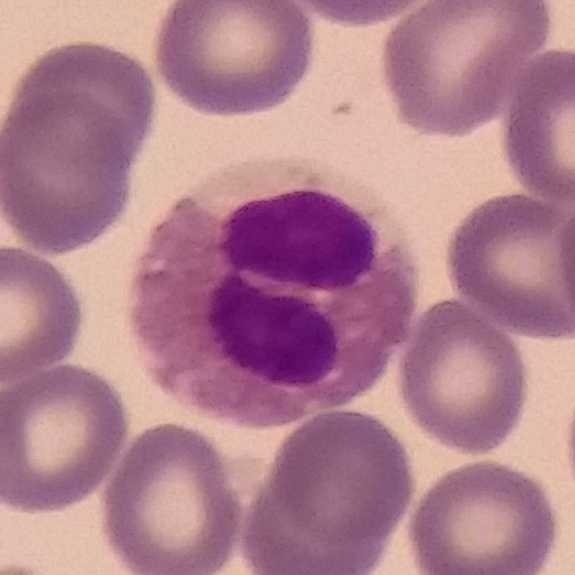 Q: Classify this leukocyte.
A: Eosinophilic granulocyte.